Smartphone photomicrograph. Peripheral blood smear.
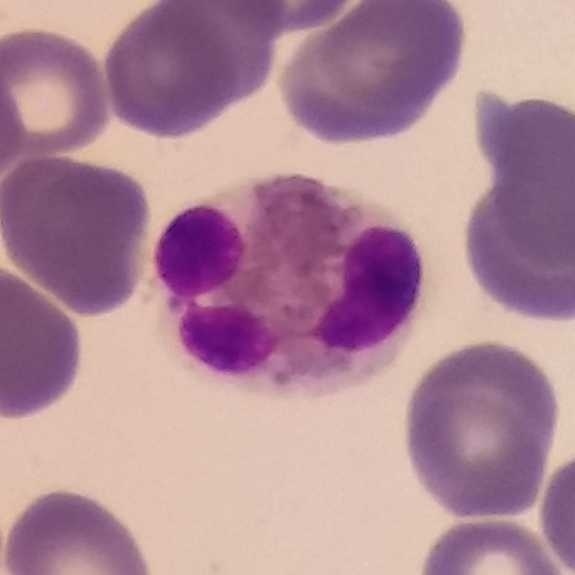 Classification = eosinophilic granulocyte.